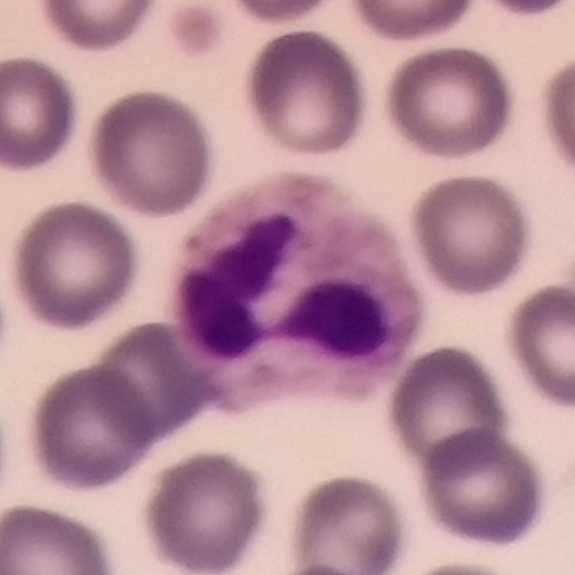Preparation: Single white blood cell cropped from the smear photograph · peripheral blood smear.

Identified as a neutrophil.